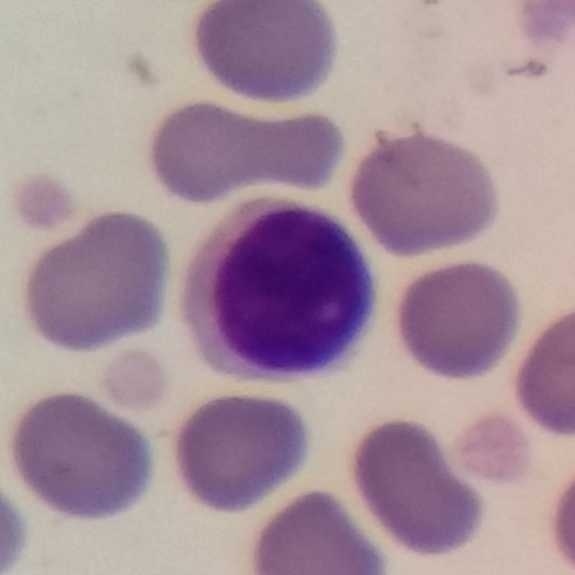
Image: Peripheral blood smear. Showing a lymphocyte.